Peripheral blood smear.
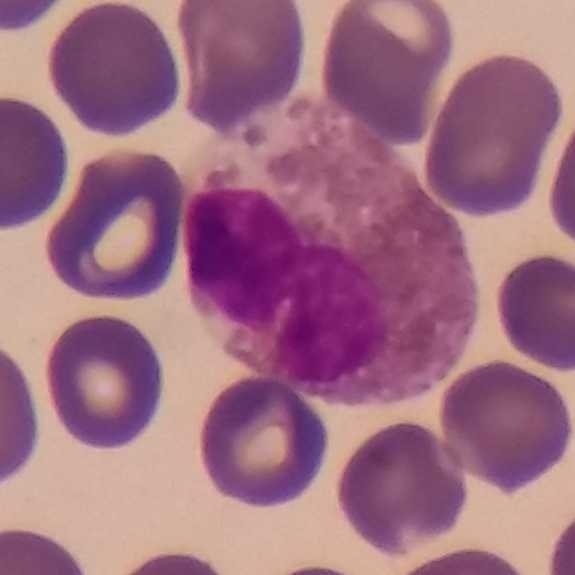 Single cell identified as an eosinophil.